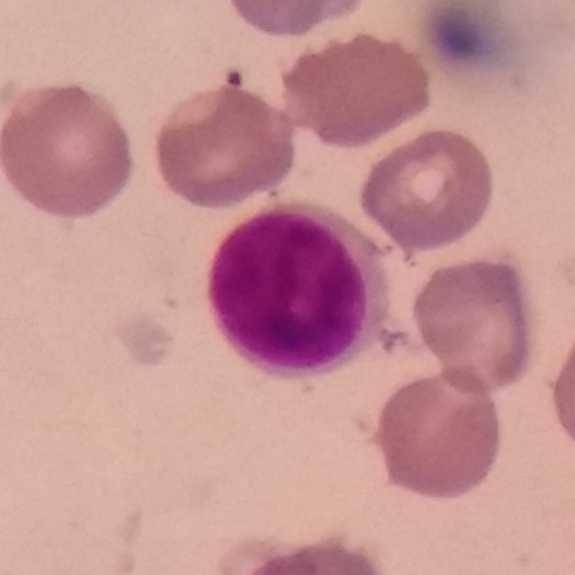

Morphology consistent with a lymphocyte.